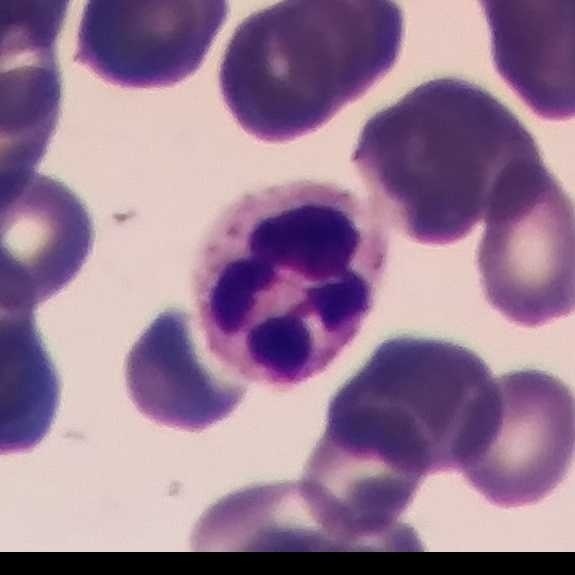

The white blood cell in this image is a neutrophilic granulocyte.